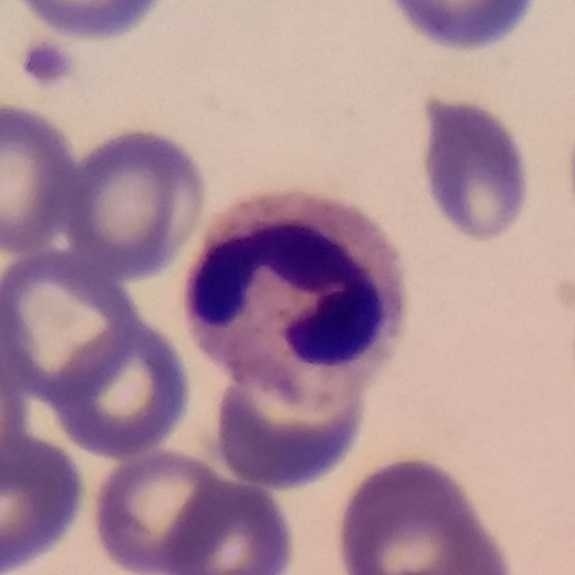 Preparation: Photographed through a light microscope with a smartphone camera · magnification 100× · peripheral blood smear.

{"cell_type": "neutrophil", "lineage": "myeloid"}